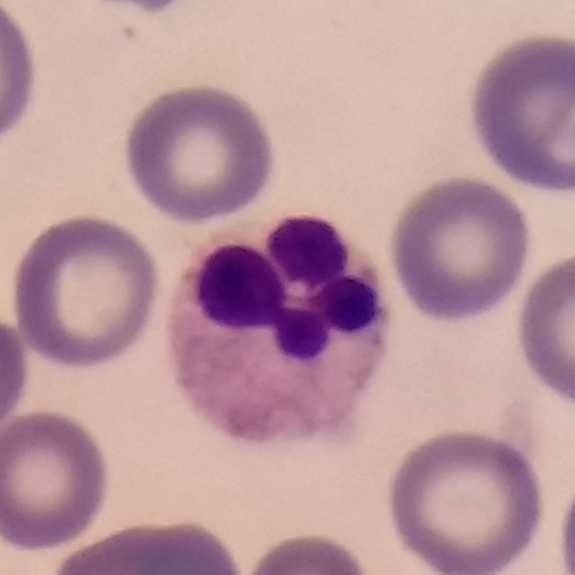 Identified as a neutrophil.